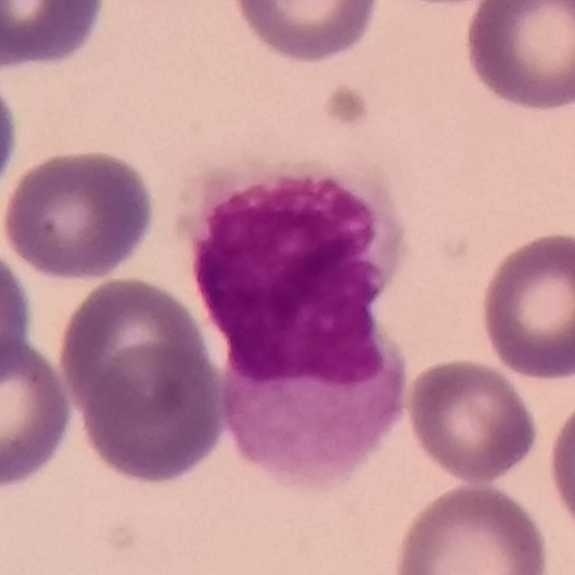Peripheral blood smear.
Morphology — monocyte.